Magnification 100× · single-cell crop · peripheral blood smear — 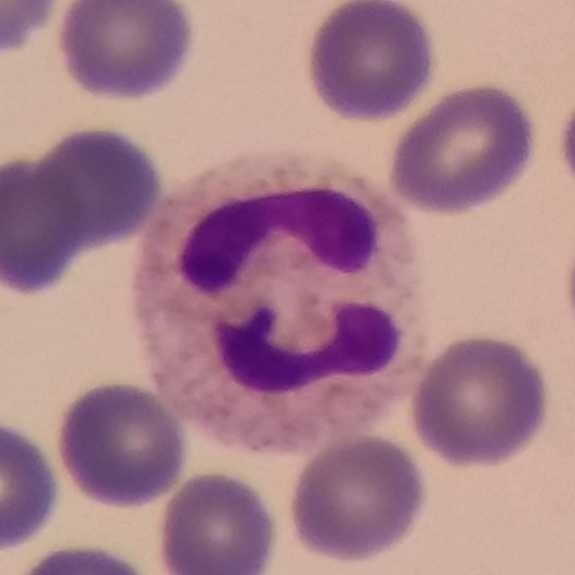 Q: Classify this leukocyte.
A: A neutrophil.